Peripheral blood smear:
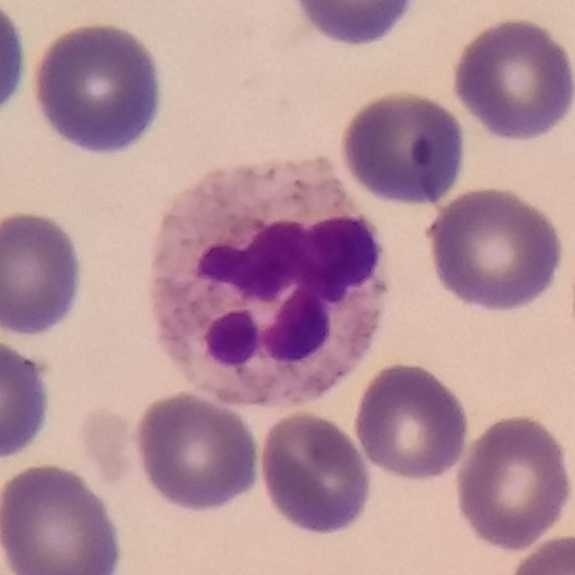Q: What is shown here?
A: It is a neutrophilic granulocyte.